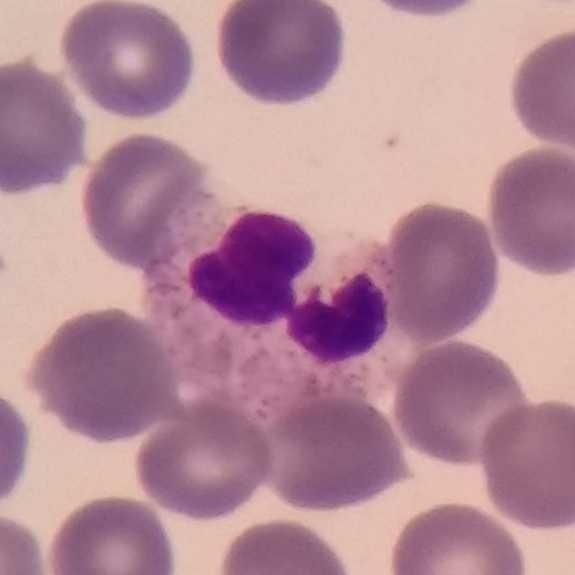 A neutrophil.

Peripheral blood film.